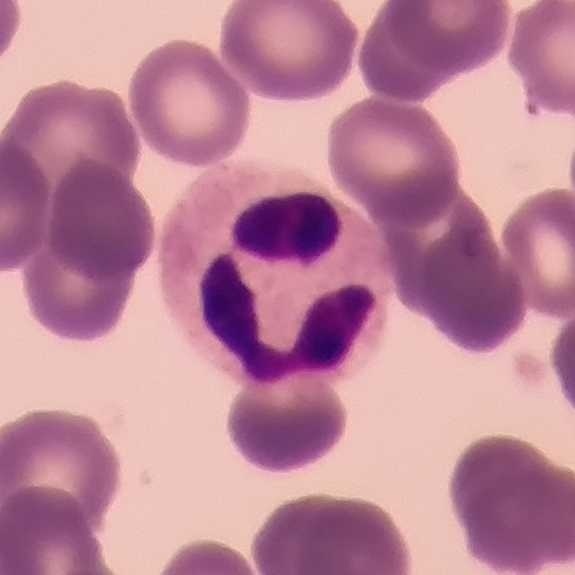Acquisition: Peripheral blood film.

Q: Identify the cell.
A: This is a neutrophil granulocyte.